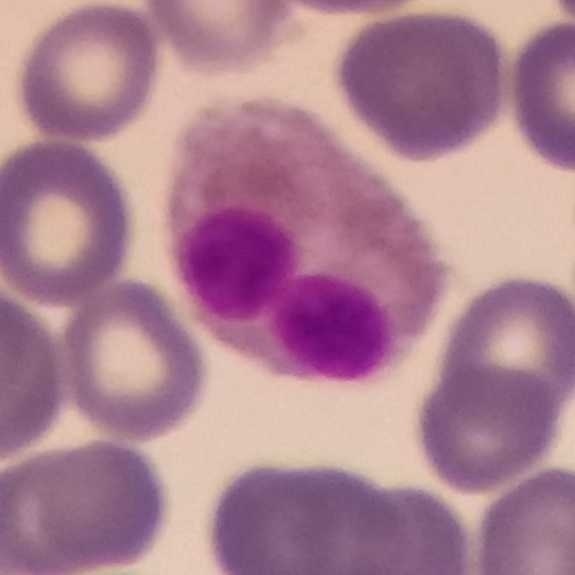 Specimen: peripheral blood smear.
Cell type: eosinophil.